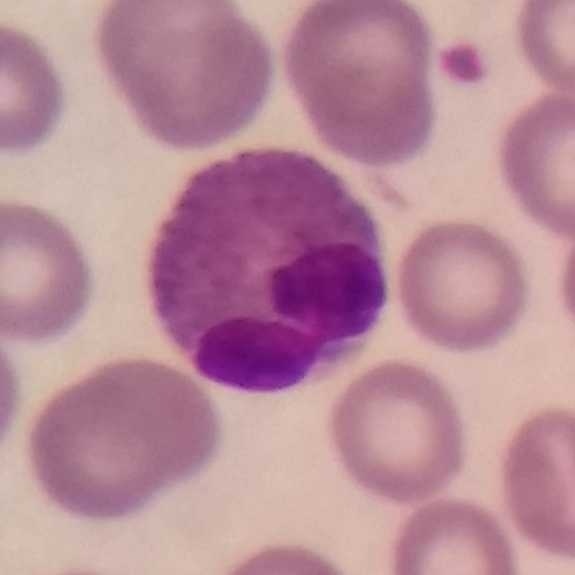 Specimen: peripheral blood film.
White blood cell type: eosinophilic granulocyte.